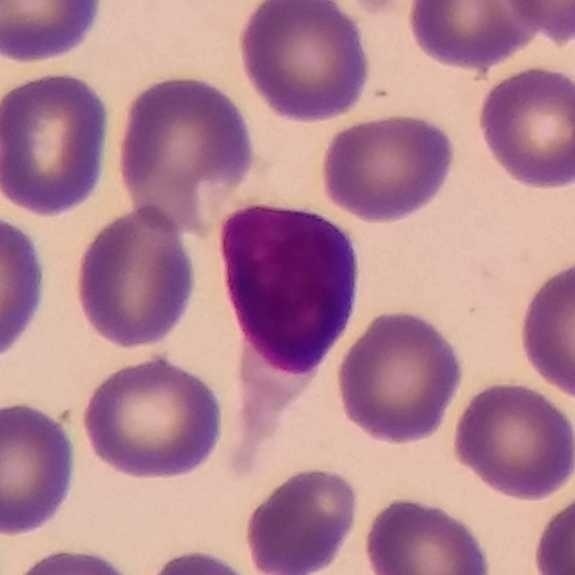Preparation: Peripheral blood smear.
A lymphocyte.